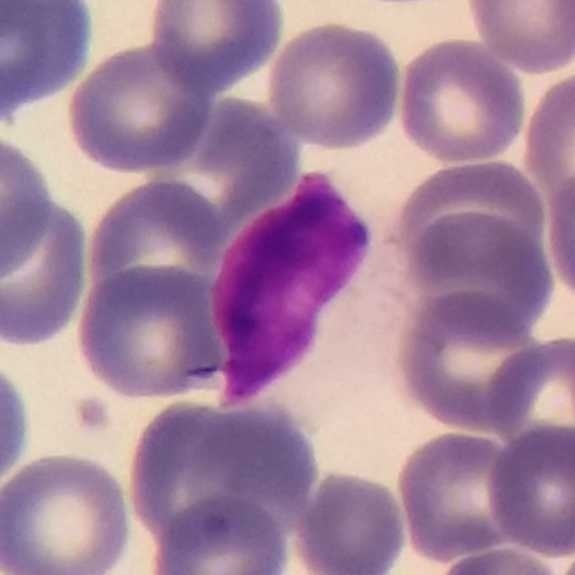
Morphology consistent with a lymphocyte.